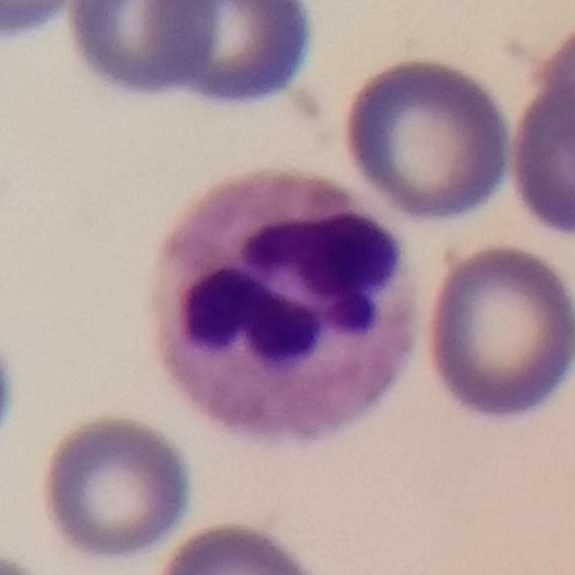
Giemsa stain. Peripheral blood film.

Q: What type of cell is this?
A: It is a neutrophilic granulocyte.